Peripheral blood smear · 100× magnification
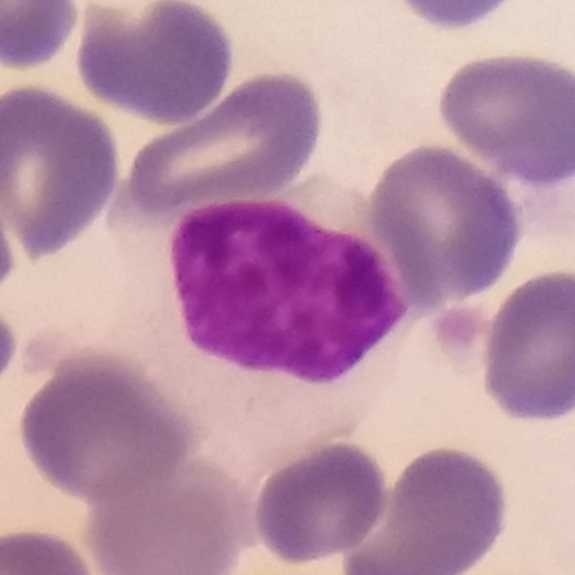

Morphological class: lymphocyte.